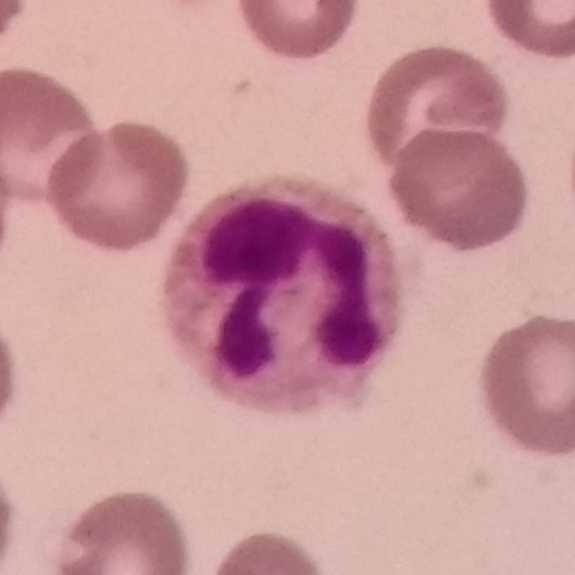Impression → neutrophil granulocyte.